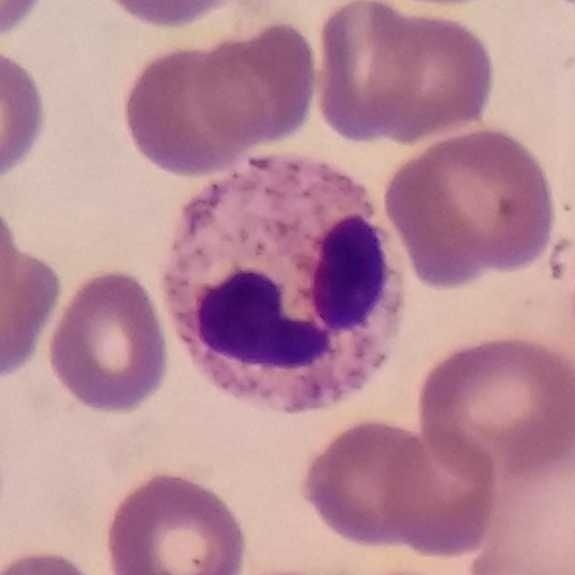

Single-cell crop from a peripheral blood smear: neutrophil granulocyte.